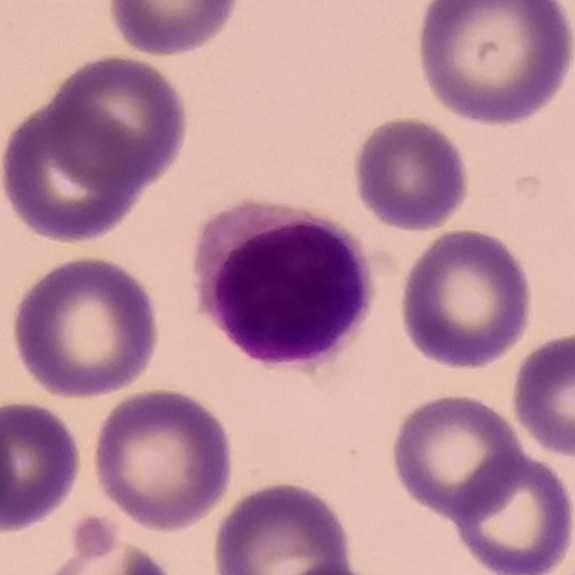
Peripheral blood smear; single-cell field; smartphone photomicrograph. Morphology consistent with a lymphocyte.